Imaged at 100× · peripheral blood smear
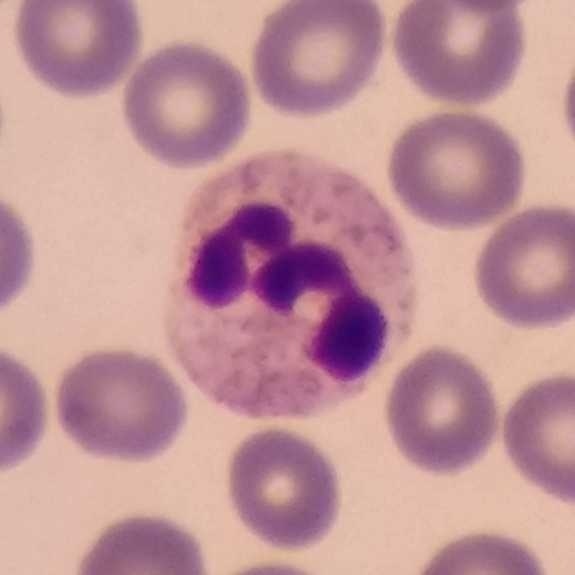Classification: neutrophilic granulocyte.